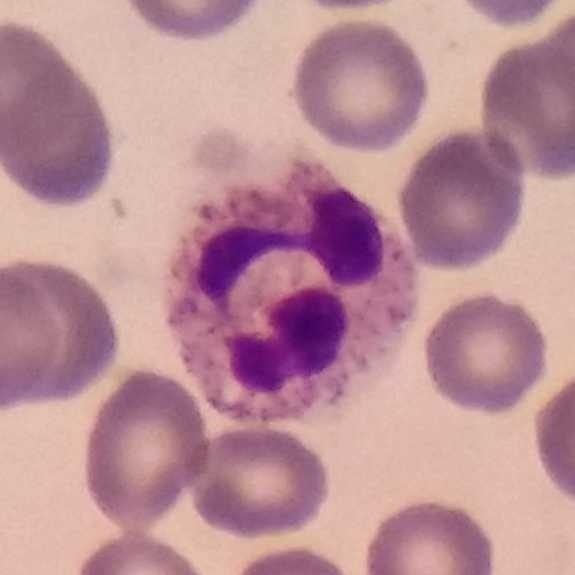
Specimen: peripheral blood film.
Morphological class: neutrophilic granulocyte.
Lineage: myeloid.